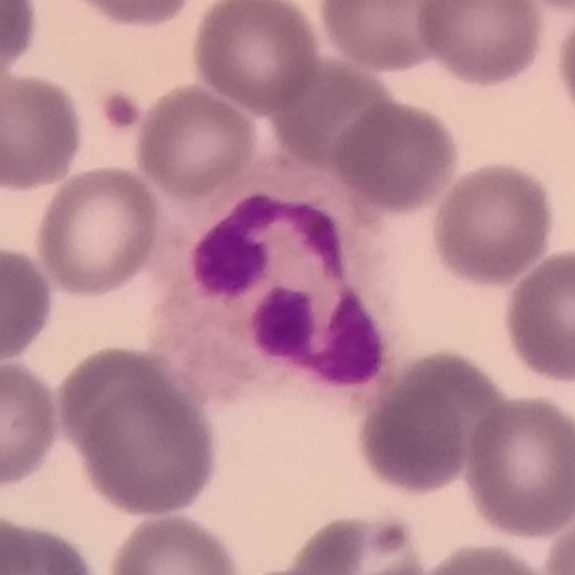
Cell: neutrophilic granulocyte.